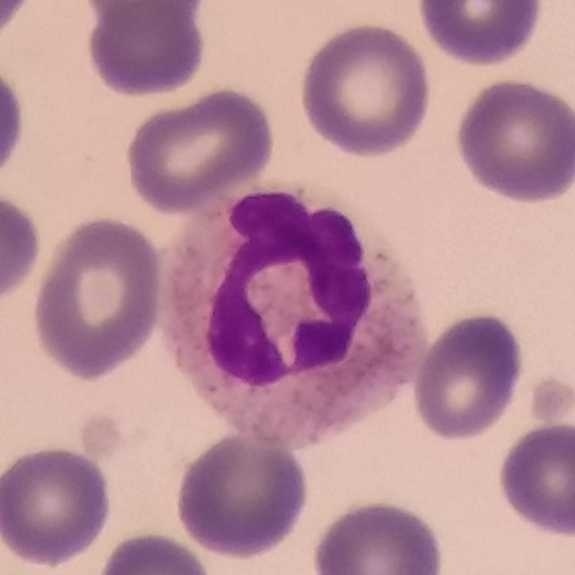Q: What is shown here?
A: It is a neutrophil granulocyte.
Context: Giemsa-stained; peripheral blood film; photographed through a light microscope with a smartphone camera.